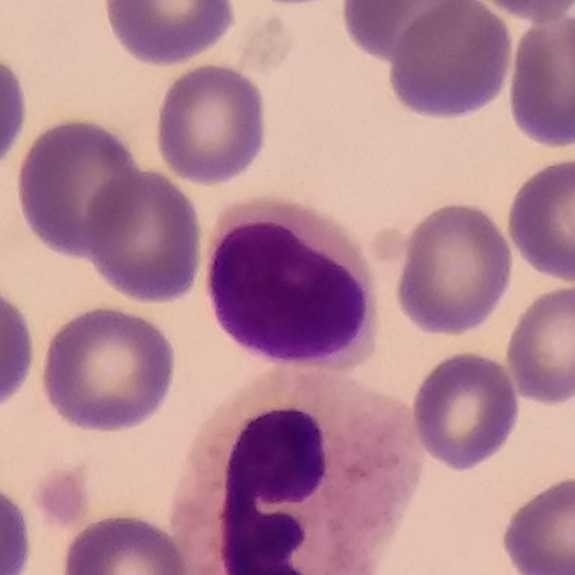
Classification: lymphocyte.